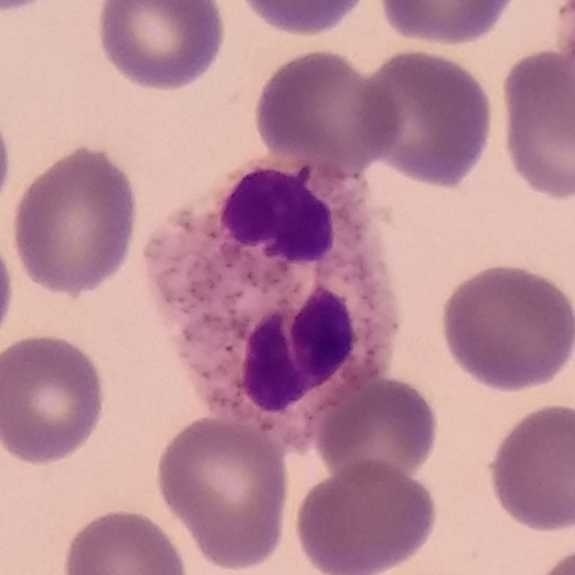Context: Smartphone camera mounted on the microscope eyepiece. Specimen: peripheral blood smear.
Classification: neutrophil.